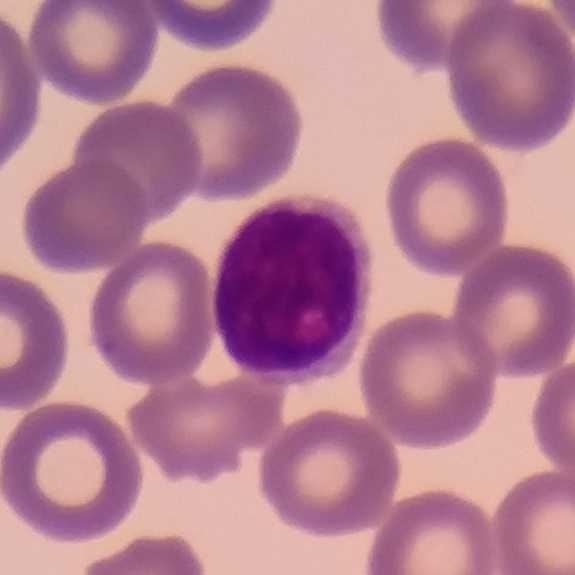 Specimen: peripheral blood smear.
White blood cell type: lymphocyte.
Lineage: lymphoid.